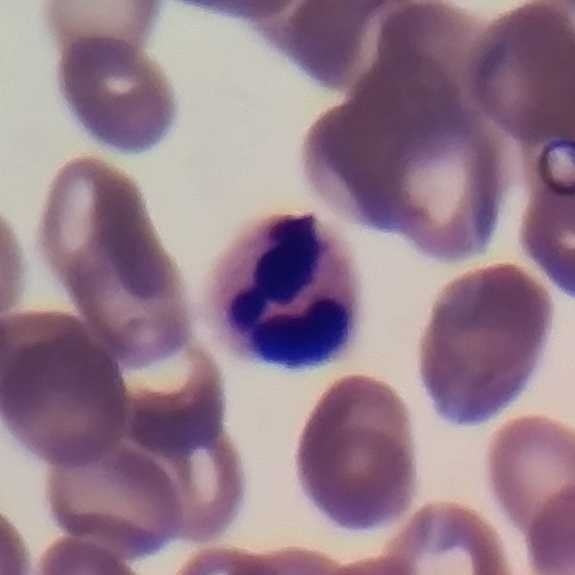 Preparation: Peripheral blood film; single white blood cell cropped from the smear photograph; phone-camera image taken through the microscope ocular.

The white blood cell in this image is a neutrophil.